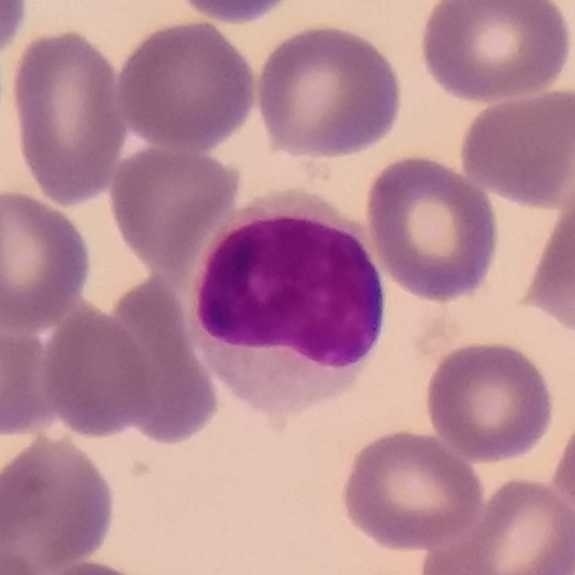 Identified as a lymphocyte.

Context: Peripheral blood film.